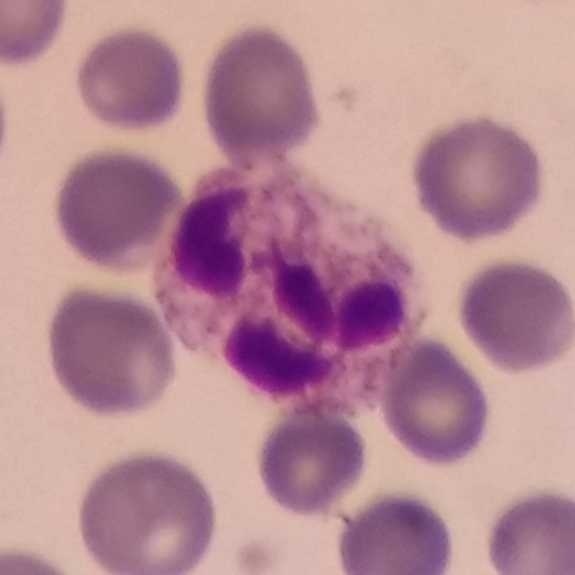 Classification = neutrophil granulocyte.